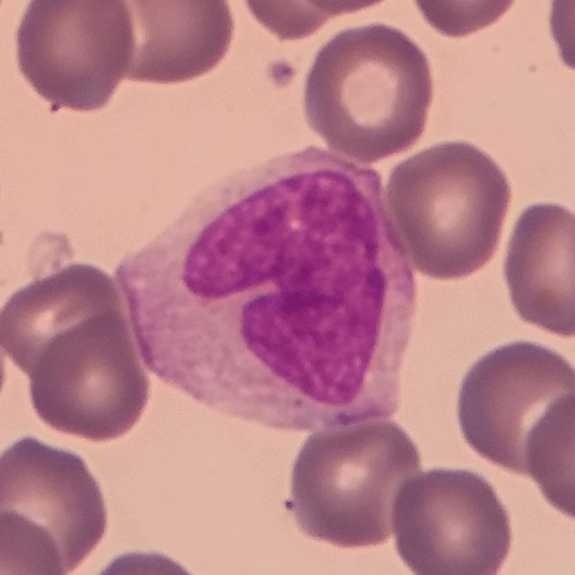 The white blood cell type is monocyte.